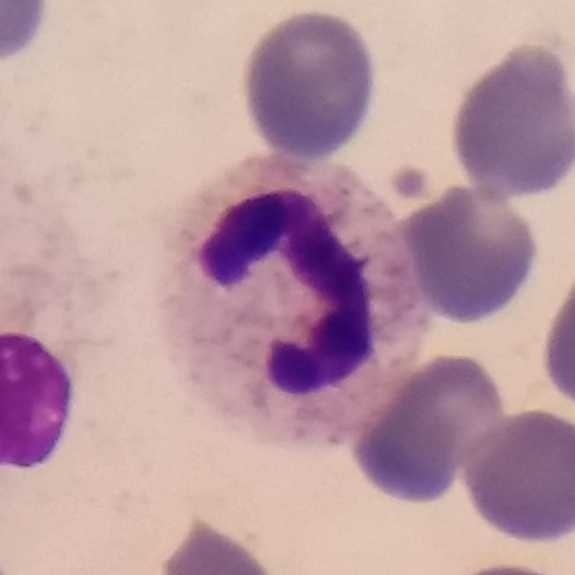 Specimen: peripheral blood smear.
White blood cell type: neutrophil.
Lineage: myeloid.